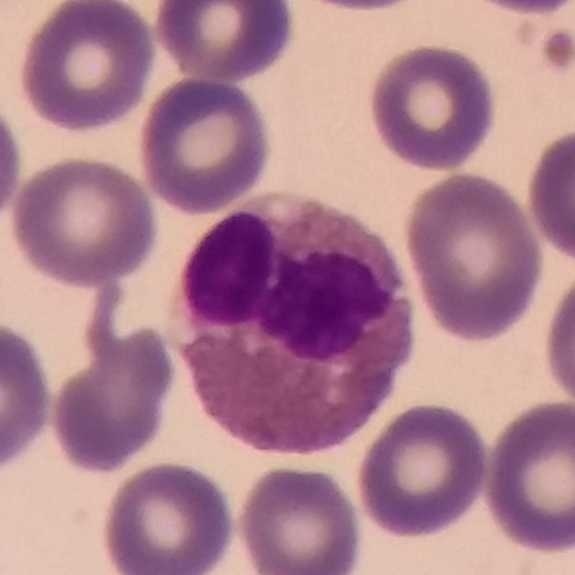

Identified as an eosinophil.
Acquisition: Peripheral blood smear · 575×575.